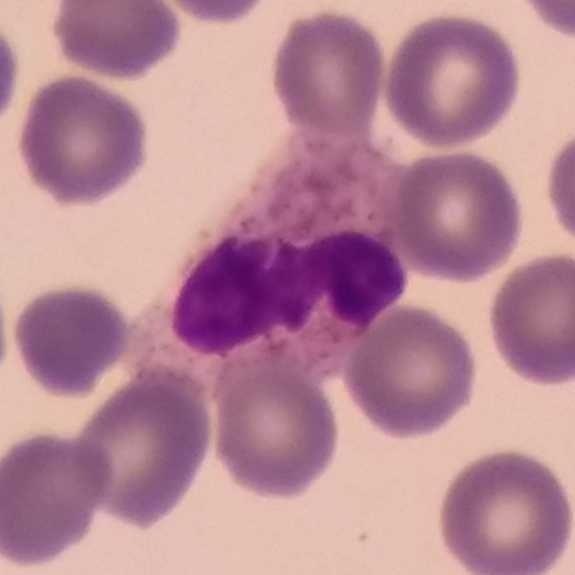 Acquisition: Single-cell crop. Peripheral blood smear. The classification is neutrophilic granulocyte.